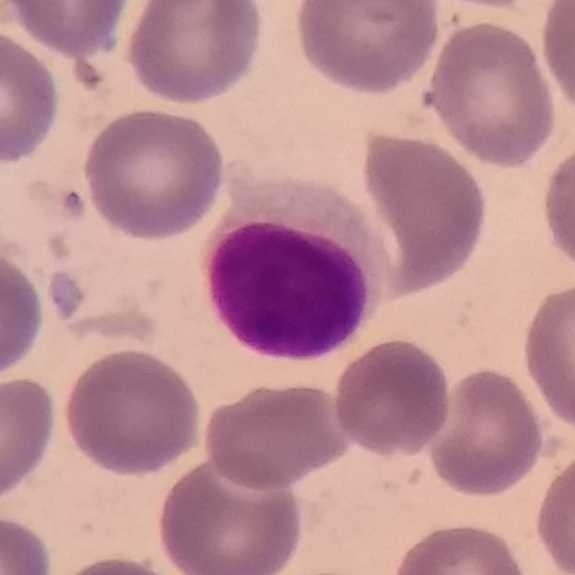
Acquisition: Peripheral blood film.
The white blood cell in this image is a lymphocyte.